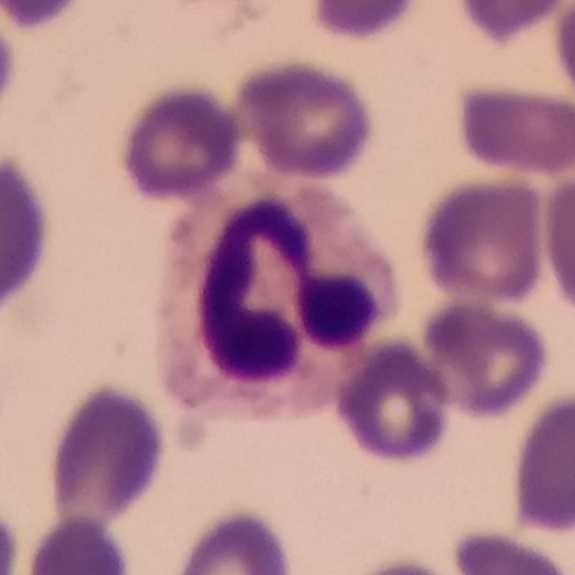
Morphological class — neutrophil. Preparation: Peripheral blood film.